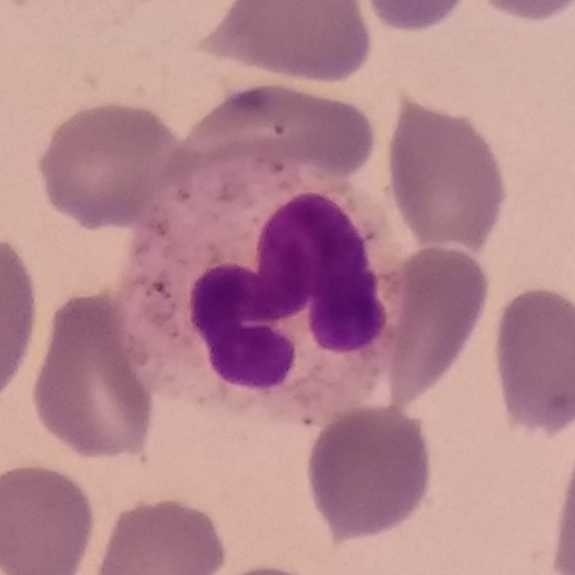 Preparation: Peripheral blood film. The cell shown is a neutrophil granulocyte.